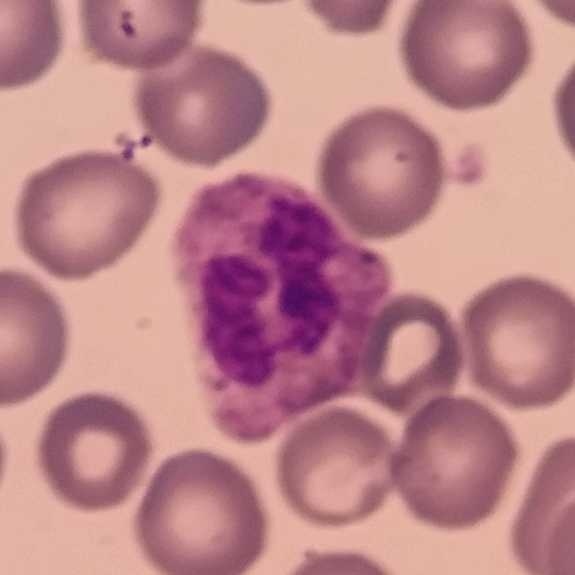

The cell type is neutrophil.